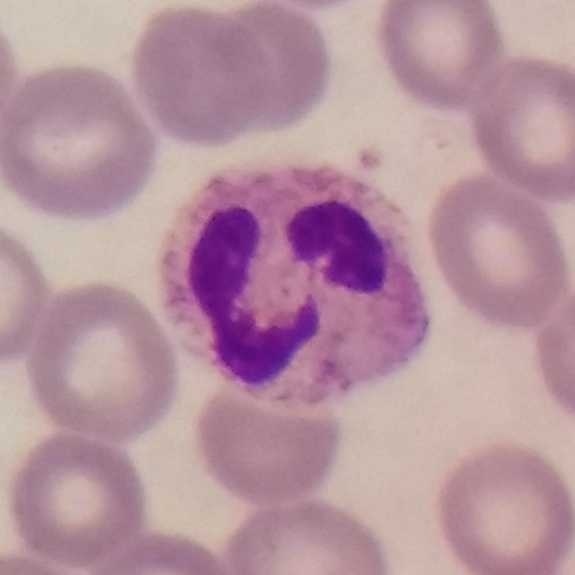
Q: What is this?
A: Neutrophilic granulocyte. Peripheral blood smear.